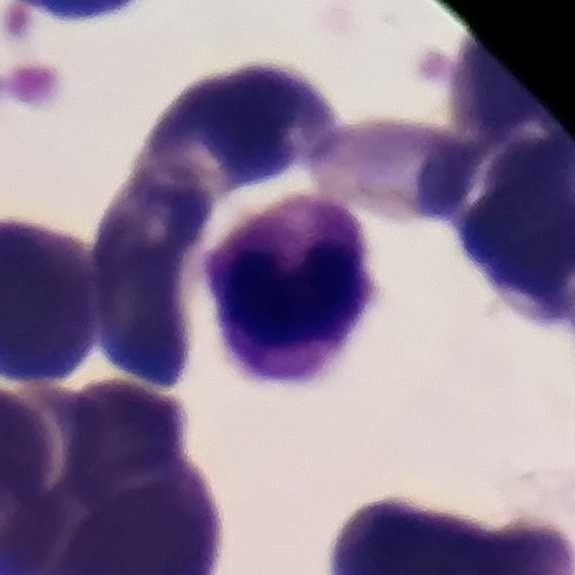
Peripheral blood smear.

Single cell identified as a neutrophil granulocyte.